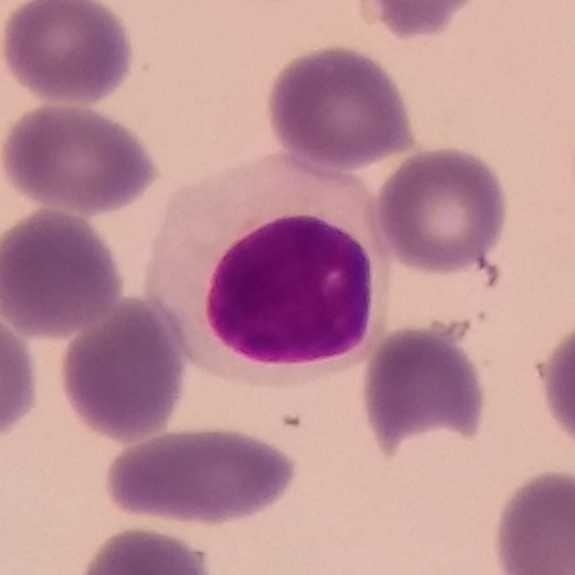Morphology consistent with a lymphocyte.

Image: Peripheral blood film.